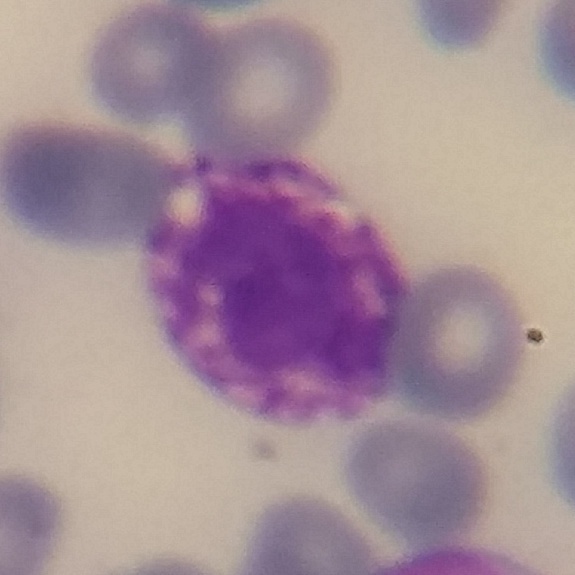

Morphology consistent with a basophilic granulocyte. Context: Peripheral blood film.